Peripheral blood smear — 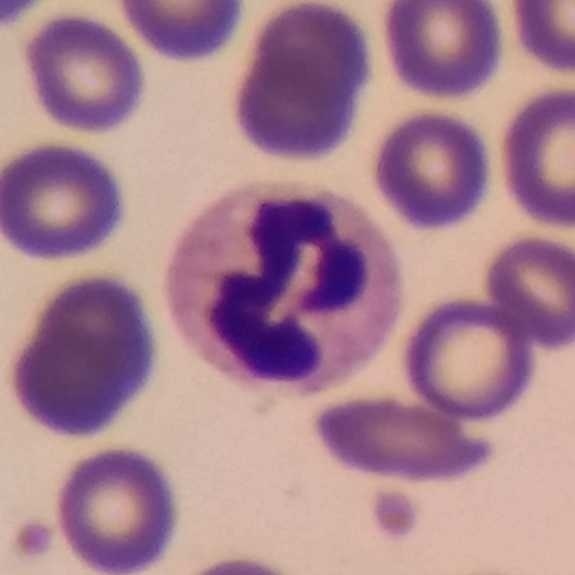
Morphology consistent with a neutrophil granulocyte.